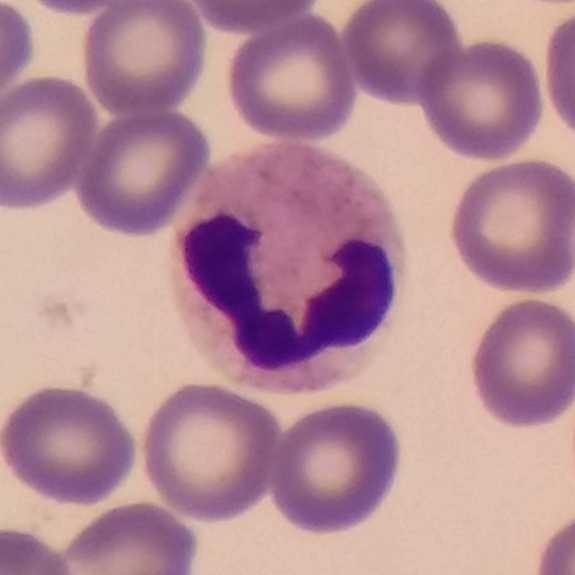 A neutrophilic granulocyte on a peripheral blood smear.